Single-cell crop · peripheral blood smear — 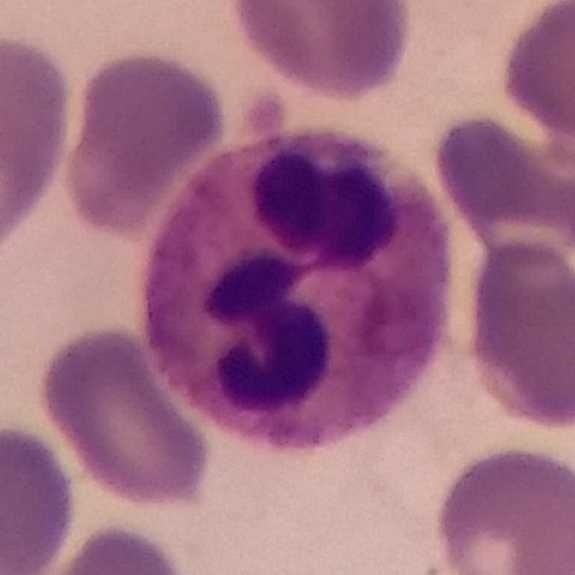The classification is neutrophil.